Peripheral blood smear.
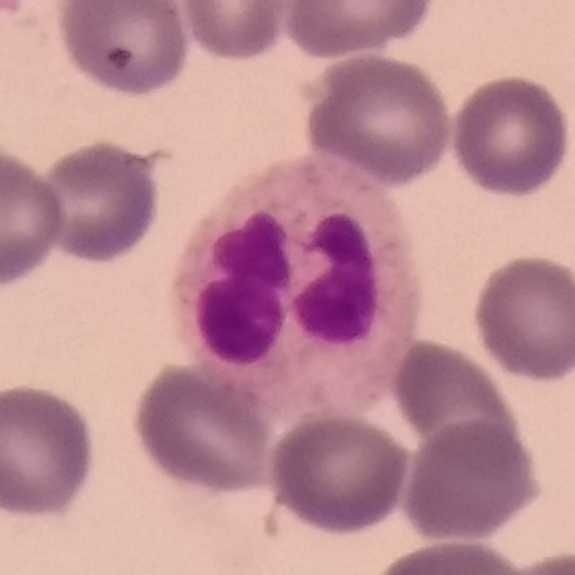
This is a neutrophil.